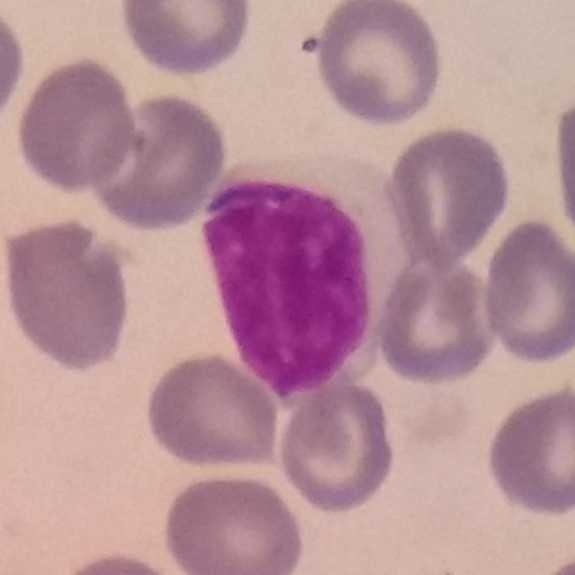Peripheral blood smear showing a lymphocyte.